Peripheral blood film: 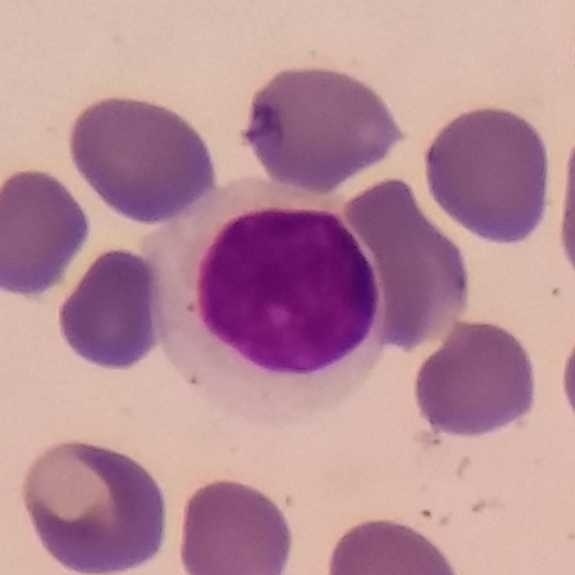

White blood cell type: lymphocyte.